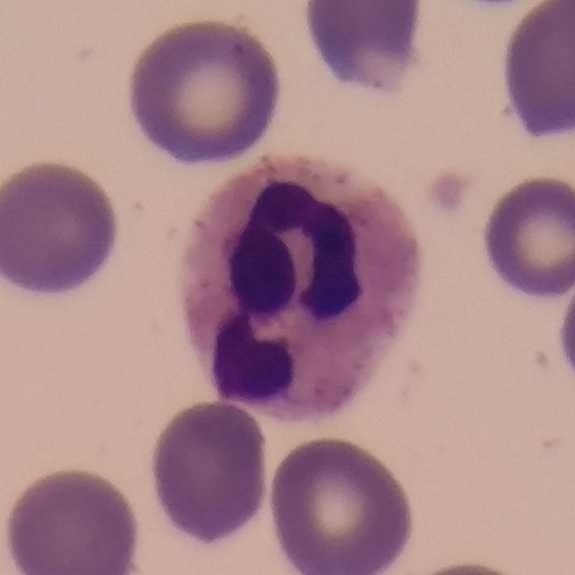 Morphological class — neutrophilic granulocyte.